Peripheral blood film: 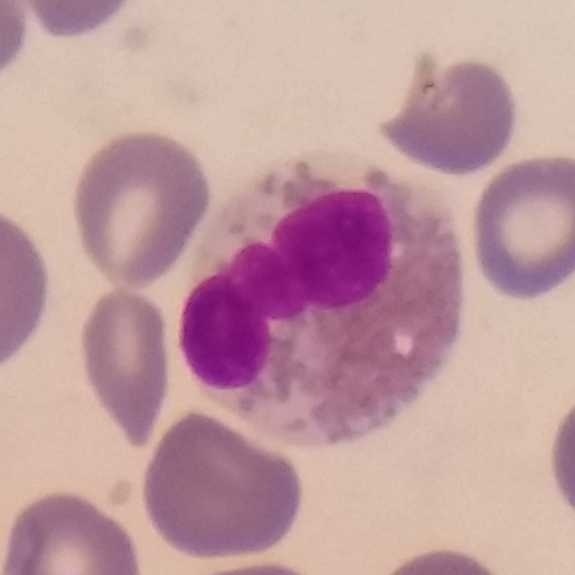

Q: Which type of white blood cell is this?
A: This is an eosinophilic granulocyte.